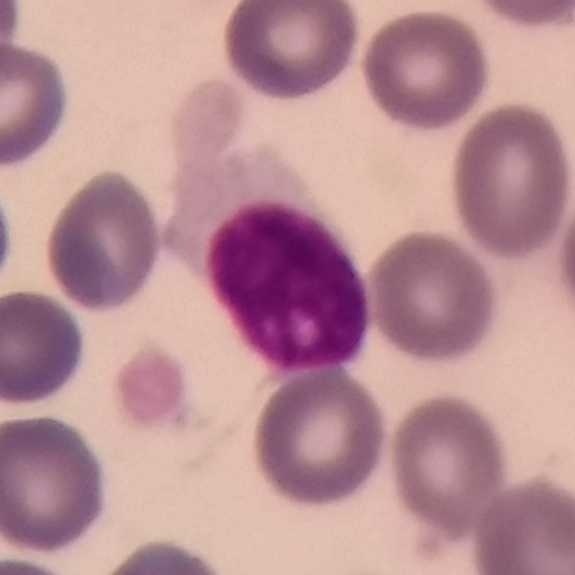Preparation: Photographed through a light microscope with a smartphone camera. Single-cell crop. Peripheral blood smear. Morphology consistent with a lymphocyte.